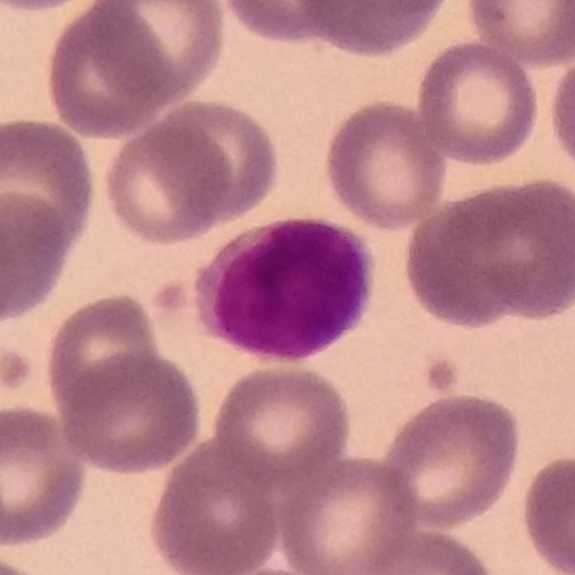 Morphology consistent with a lymphocyte.